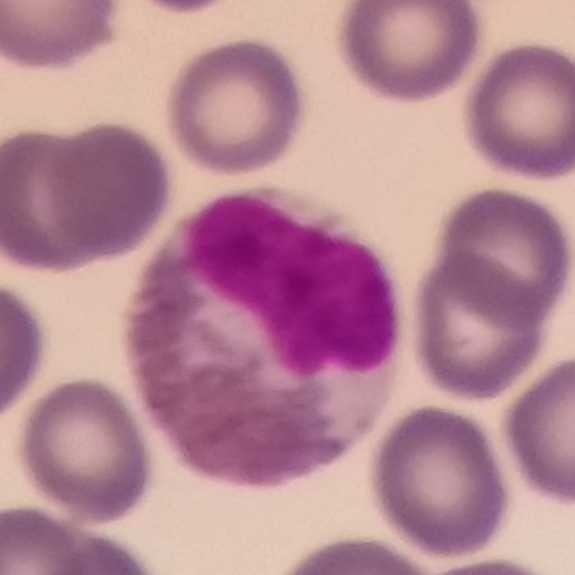

This is an eosinophil.
Context: Peripheral blood film.